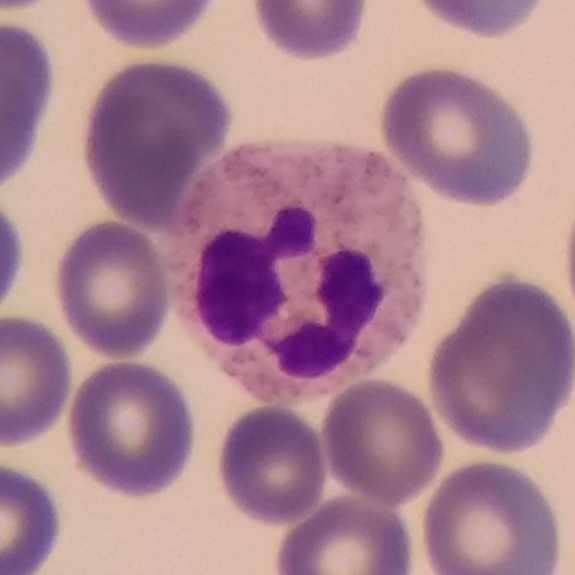 Specimen: peripheral blood smear.
Cell type: neutrophilic granulocyte.
Lineage: myeloid.

Phone-camera image taken through the microscope ocular.